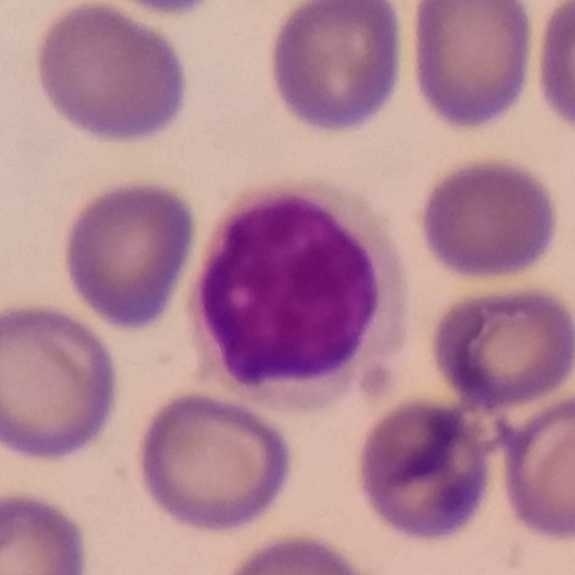

Impression — lymphocyte.
Imaged at 100×. 575 by 575 pixels. Peripheral blood smear.